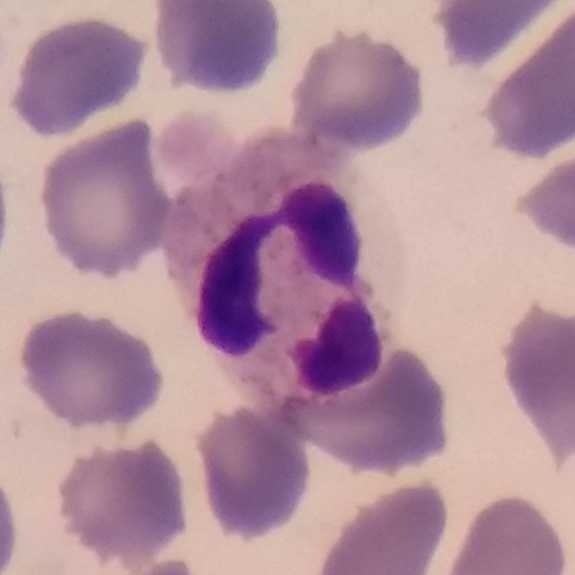 Classification = neutrophilic granulocyte.
Preparation: Peripheral blood smear.